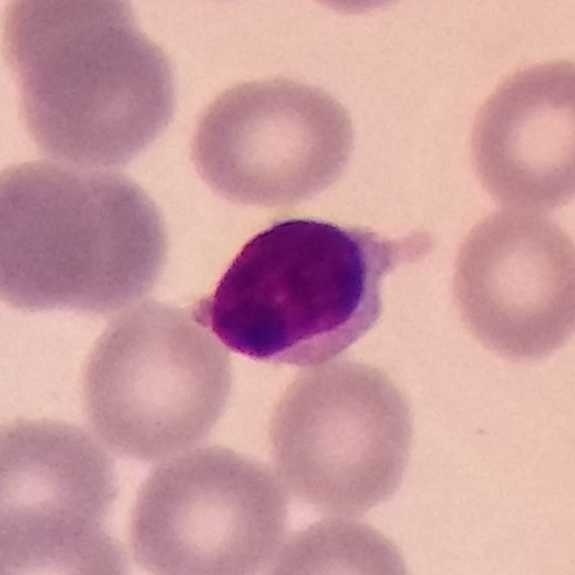Impression — lymphocyte.